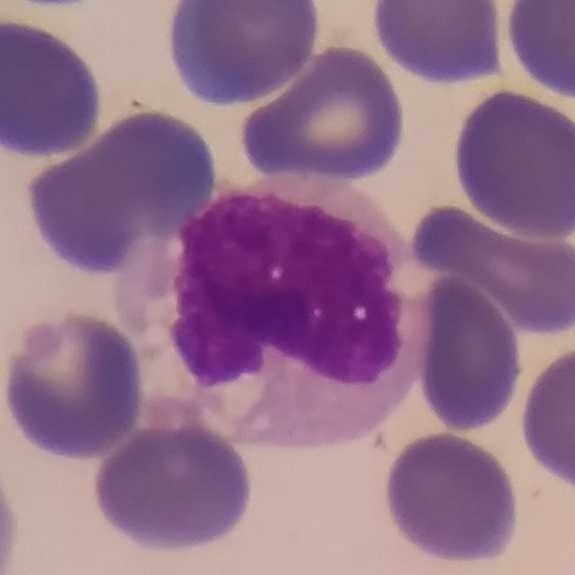 Preparation: Peripheral blood smear.
The cell shown is a monocyte.